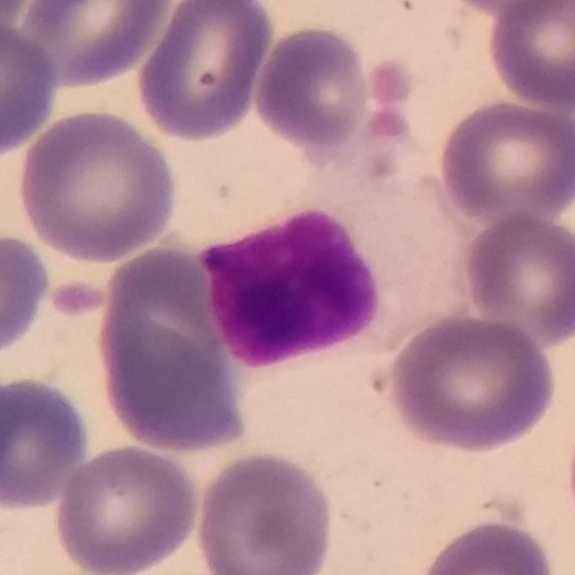This is a lymphocyte.

Cropped to one leukocyte; peripheral blood smear; Giemsa stain.